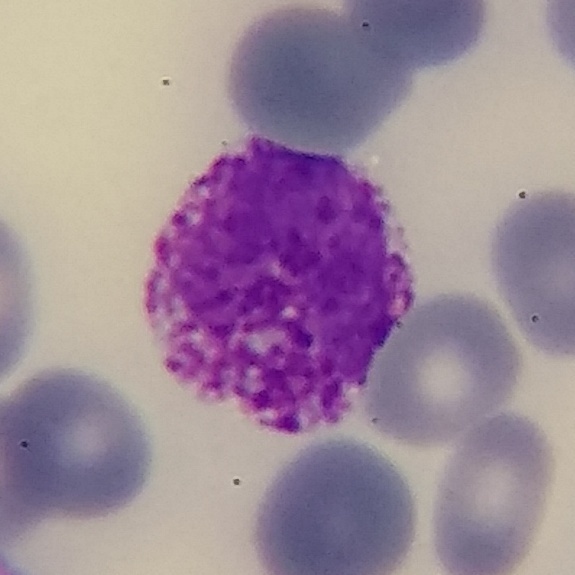 Cell: basophilic granulocyte.

Context: Peripheral blood smear · cropped to one leukocyte · smartphone camera mounted on the microscope eyepiece.